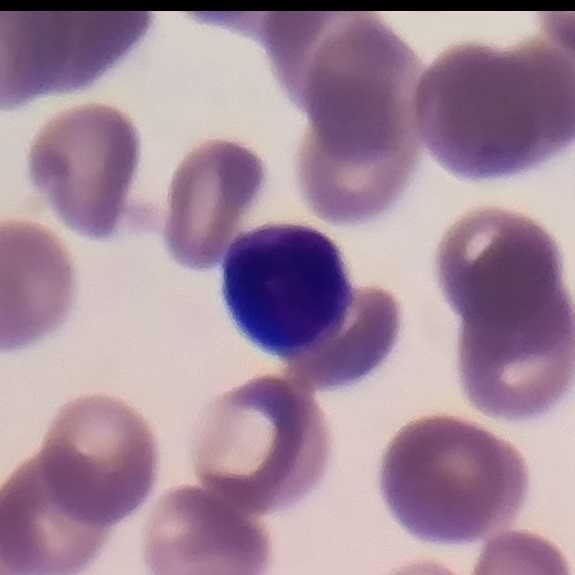

A lymphocyte.

Context: Cropped to one leukocyte · peripheral blood smear · 575 by 575 pixels.